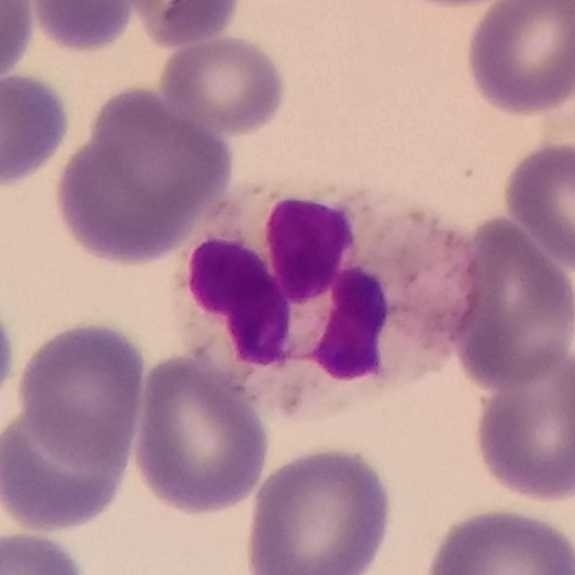

Identified as a neutrophil granulocyte.

Preparation: Phone-camera image taken through the microscope ocular · peripheral blood smear.